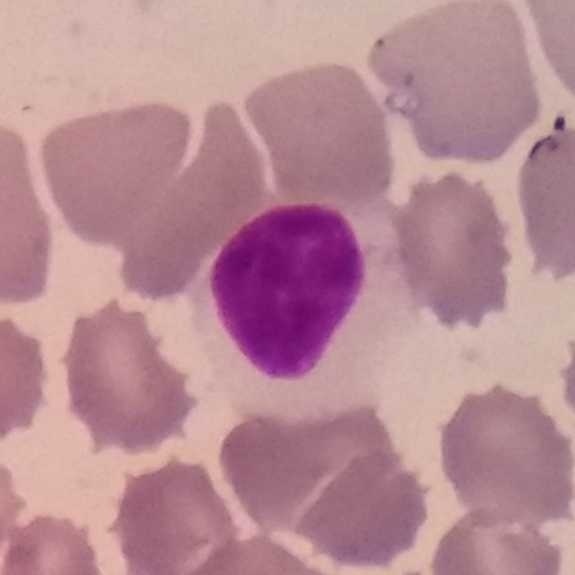
Cell type: lymphocyte.
Peripheral blood film.